Peripheral blood film · Giemsa-stained:
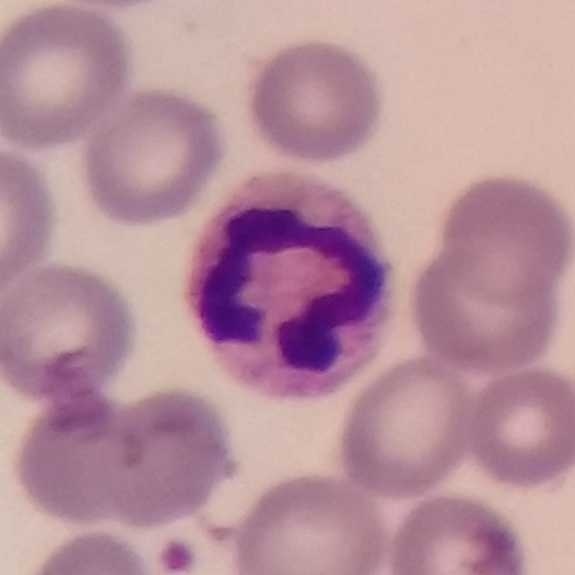
The white blood cell in this image is a neutrophil.